Peripheral blood smear.
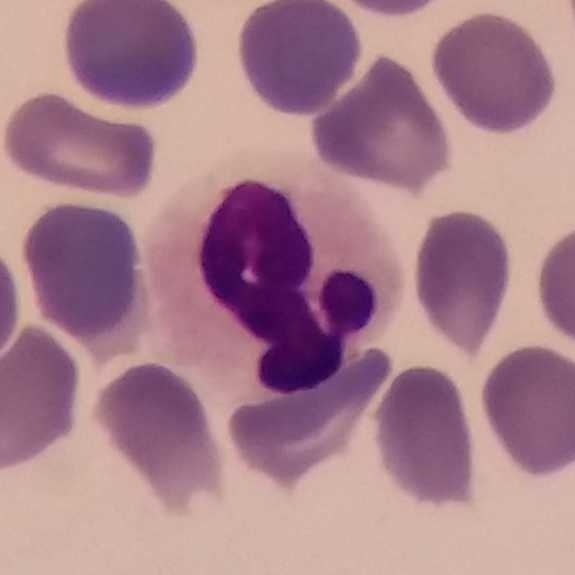Q: What is this?
A: This is a neutrophil.